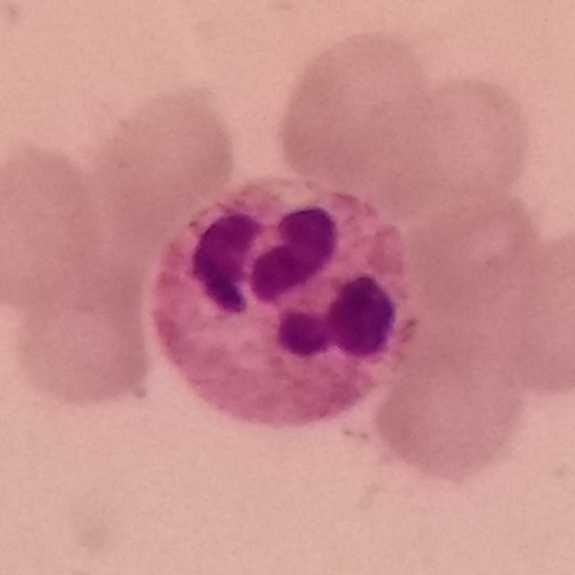Q: What is shown here?
A: A neutrophil granulocyte.